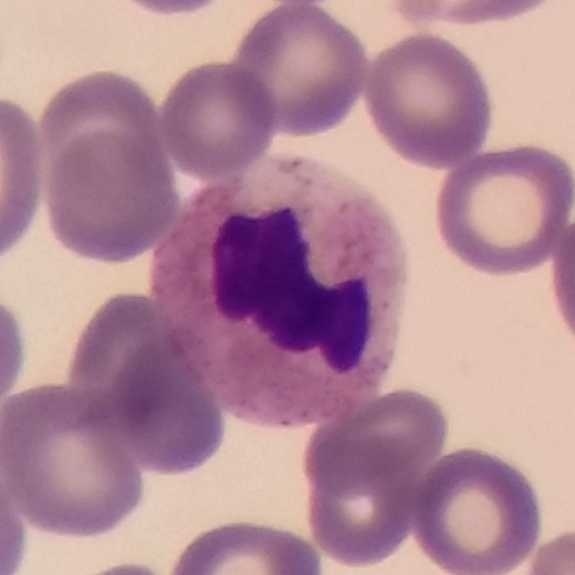 Q: Which cell type is shown here?
A: This is a neutrophil.